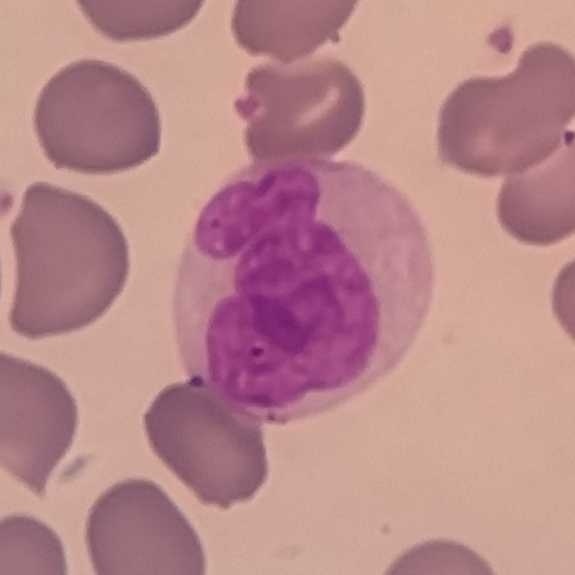Showing a monocyte. Context: Imaged at 100× · peripheral blood smear.